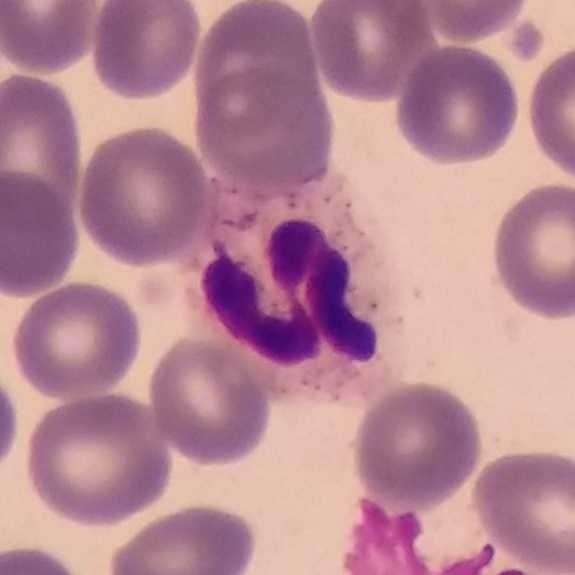White blood cell type — neutrophilic granulocyte.